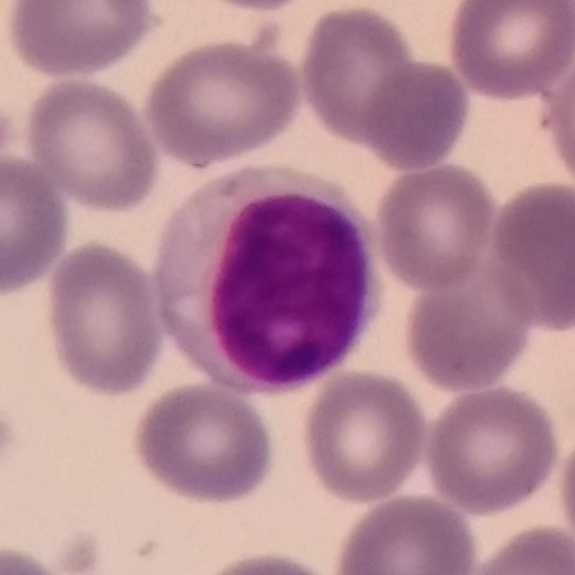Acquisition: Peripheral blood film · 575×575 px · 100× magnification. Morphology → lymphocyte.